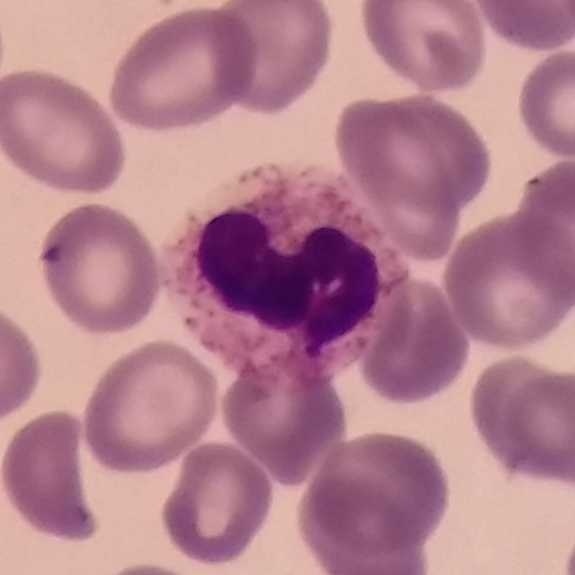

Acquisition: Peripheral blood film. Q: What is shown here?
A: It is a neutrophil granulocyte.